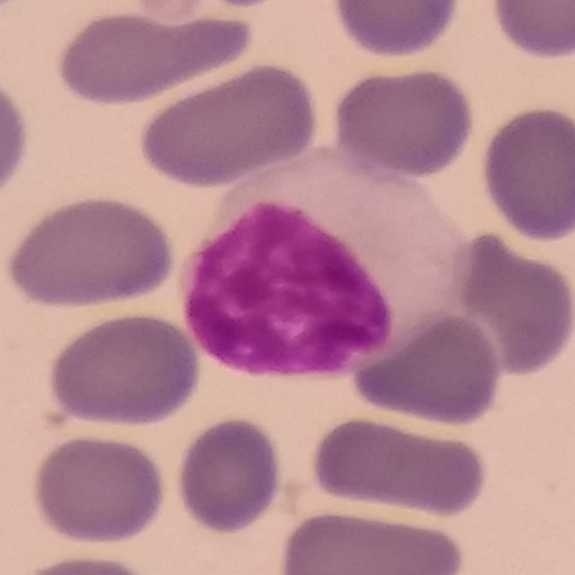

Q: Classify this leukocyte.
A: It is a lymphocyte. Peripheral blood film.